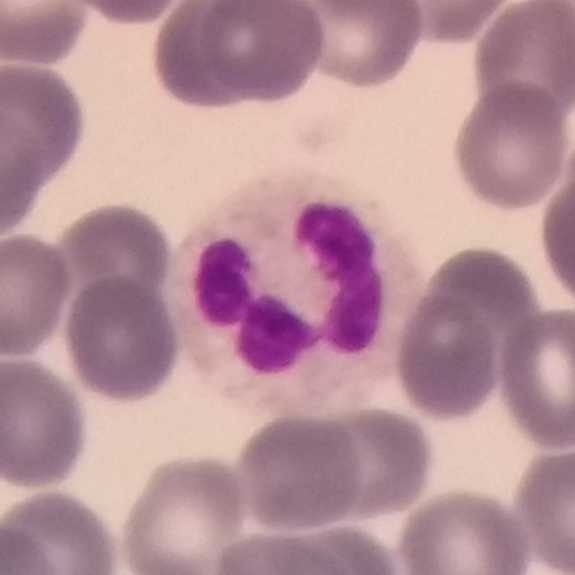Specimen: peripheral blood film.
White blood cell type: neutrophil granulocyte.
Lineage: myeloid.